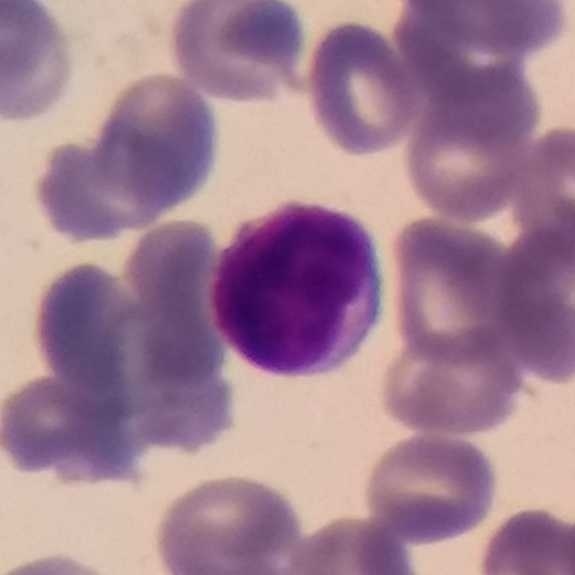

Q: What is shown here?
A: This is a lymphocyte.